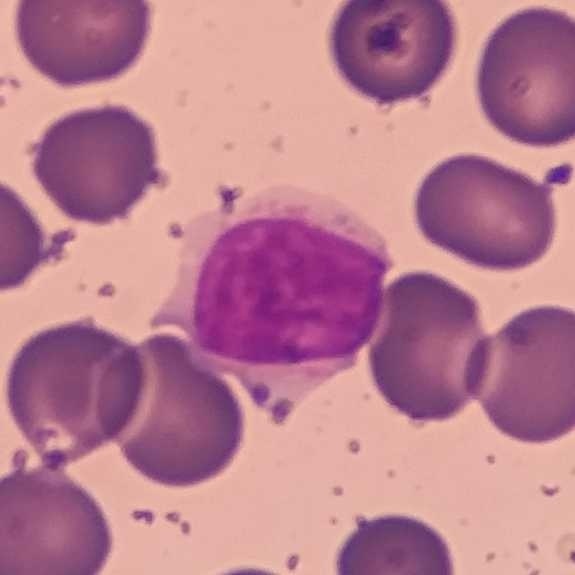 Q: Which type of white blood cell is this?
A: This is a lymphocyte. Preparation: Peripheral blood smear.